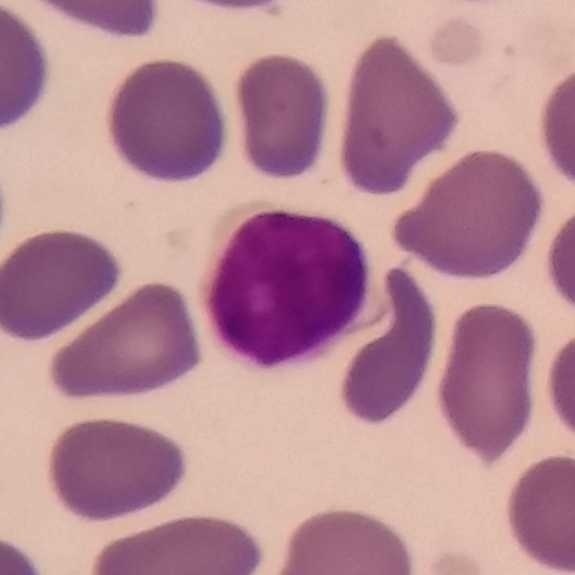 Preparation: Peripheral blood smear.

Showing a lymphocyte.